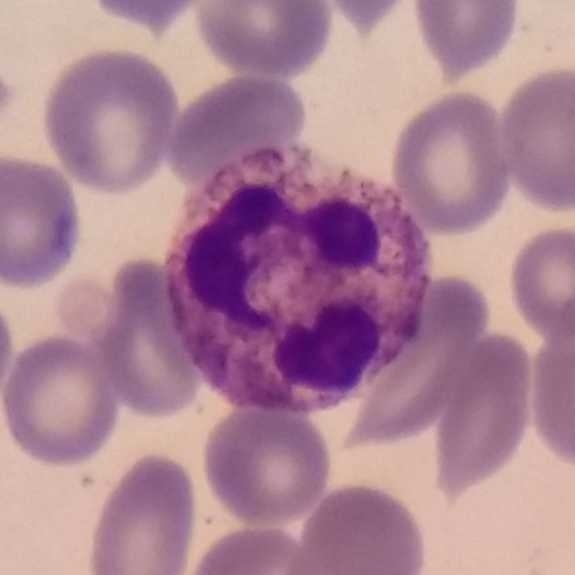
Q: Which cell type is shown here?
A: Neutrophilic granulocyte.